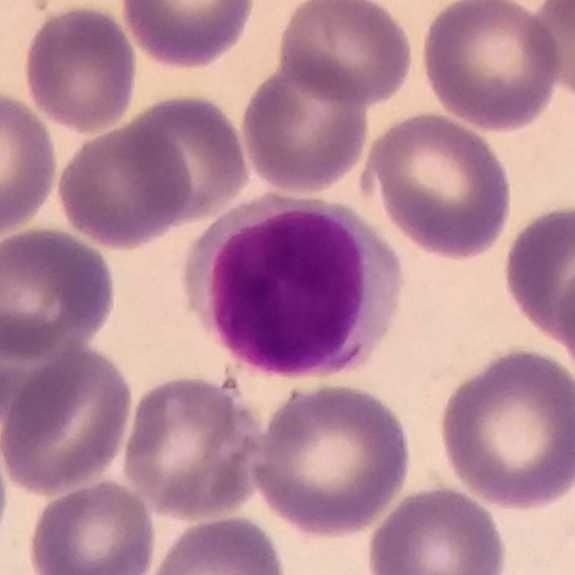Impression — lymphocyte.